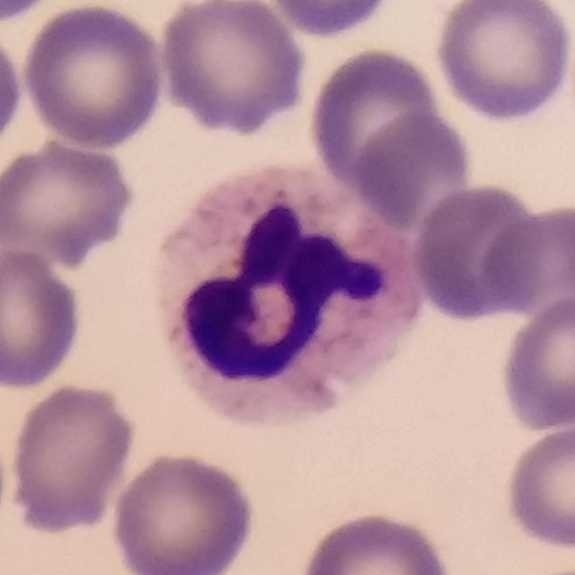

Impression → neutrophil.
Acquisition: Peripheral blood smear.